575×575 px. Peripheral blood film.
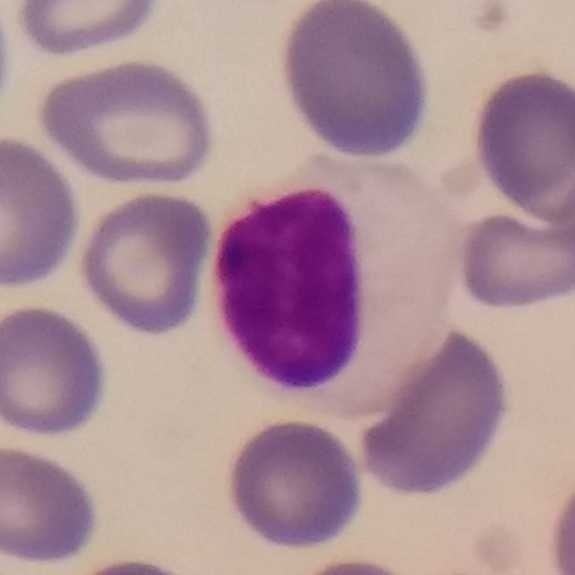 Classification = lymphocyte.